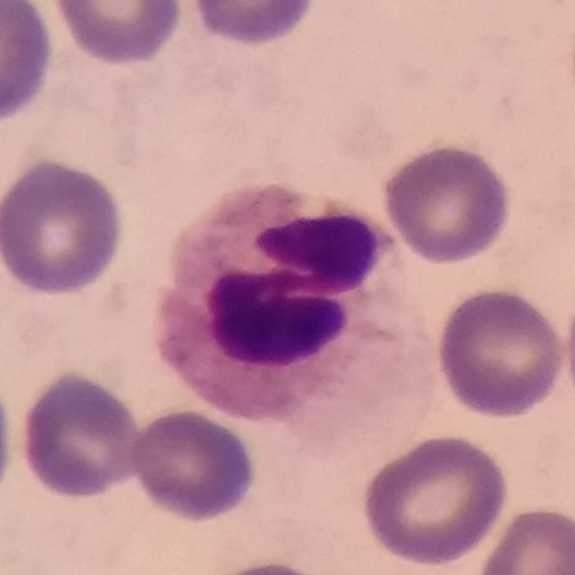

A neutrophil granulocyte on a peripheral blood smear.